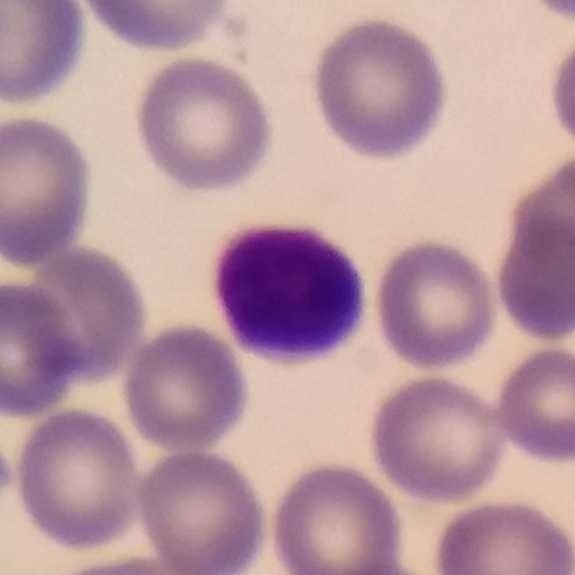
The cell shown is a lymphocyte.
Peripheral blood film; image size 575×575; 100× magnification.